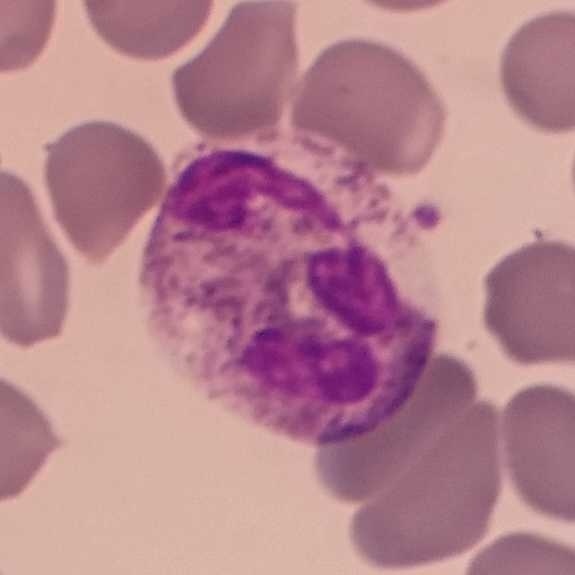

Morphological class — neutrophil.
Preparation: Peripheral blood film; photographed through a light microscope with a smartphone camera.